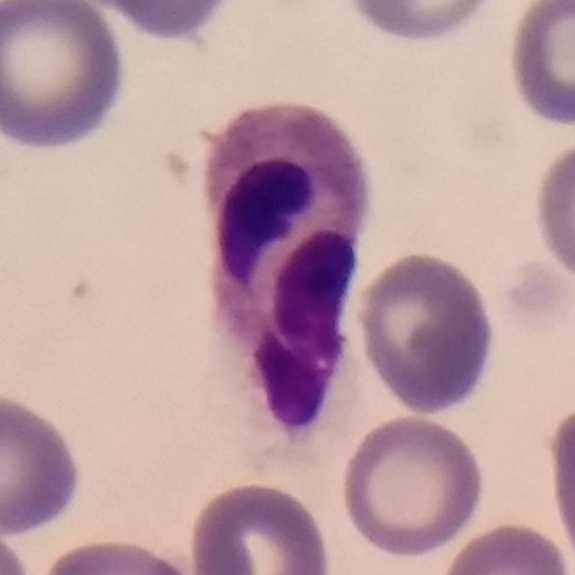
A neutrophil.